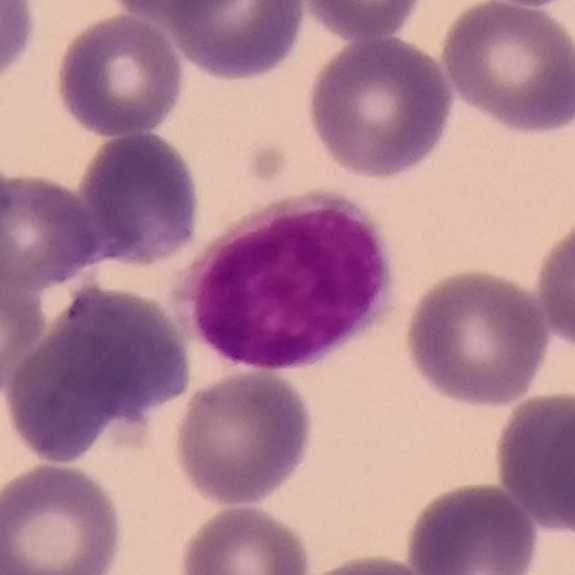Image: Imaged at 100×; peripheral blood film.

Q: Which type of white blood cell is this?
A: This is a lymphocyte.